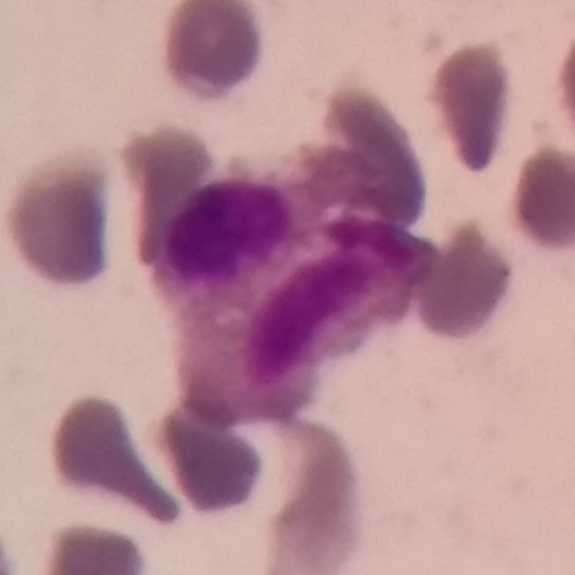

Classification — eosinophilic granulocyte.